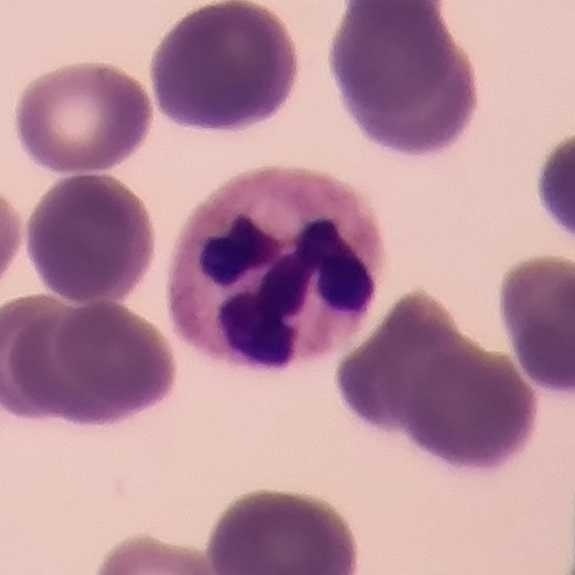
{"cell_type": "neutrophil"}